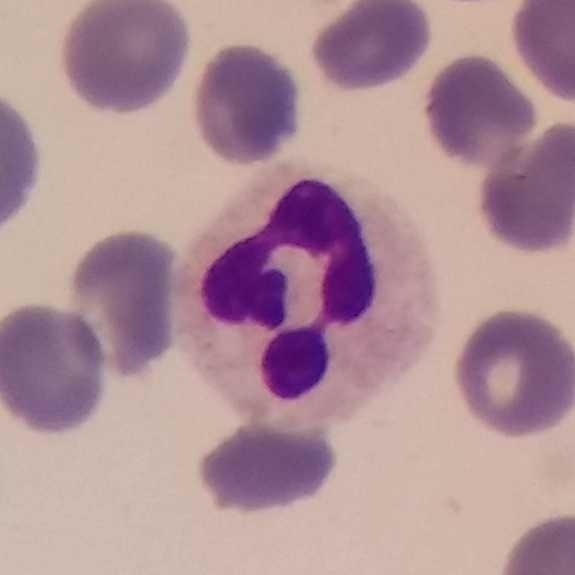

This is a neutrophil granulocyte.